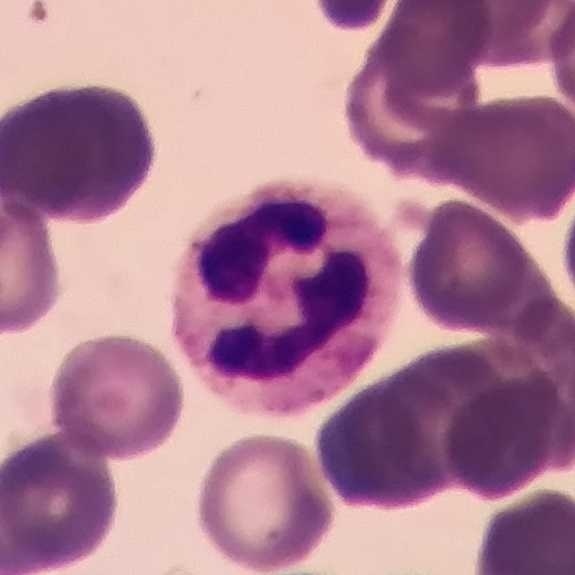 Image: Peripheral blood smear. 575×575. Magnification 100×.
Impression — neutrophil granulocyte.